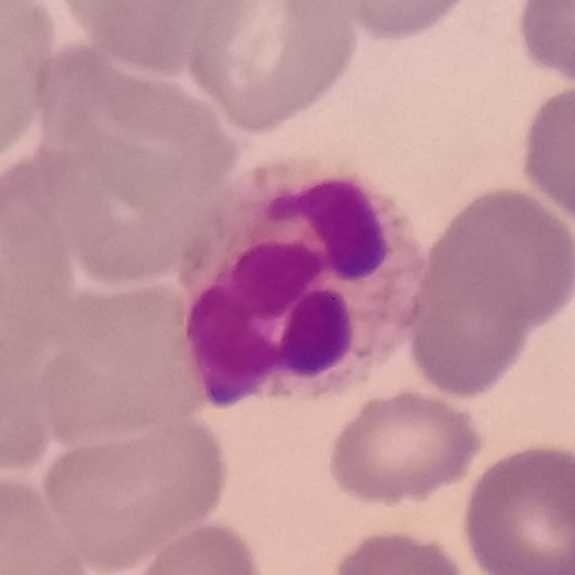

The cell type is neutrophil granulocyte.